Peripheral blood smear; single white blood cell cropped from the smear photograph:
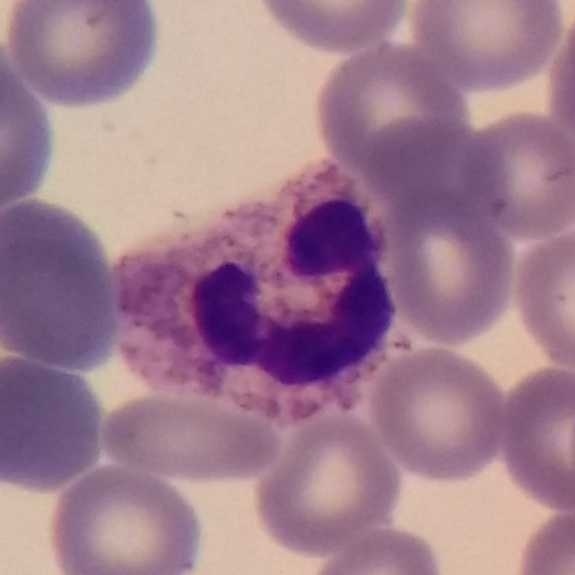
White blood cell type: neutrophilic granulocyte.